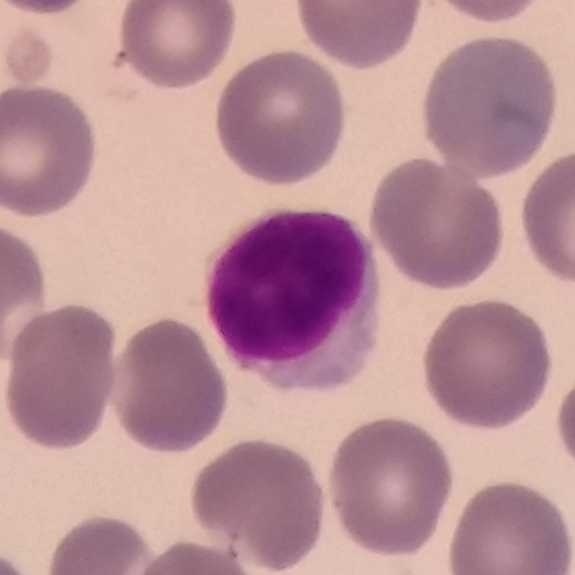
{"cell_type": "lymphocyte"}
Context: Peripheral blood smear.